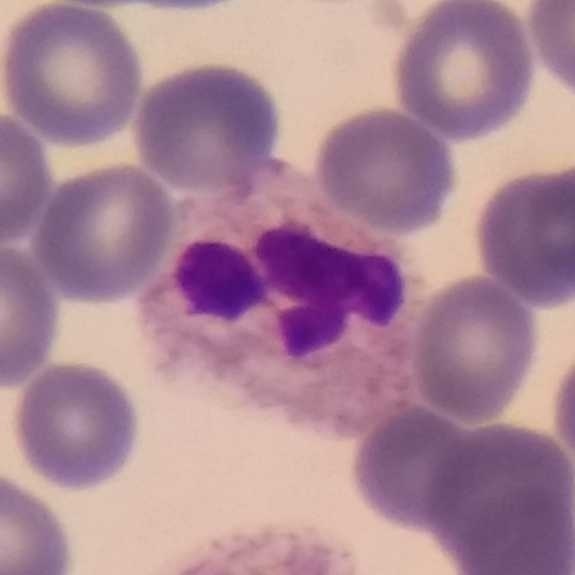
White blood cell type = neutrophil granulocyte.